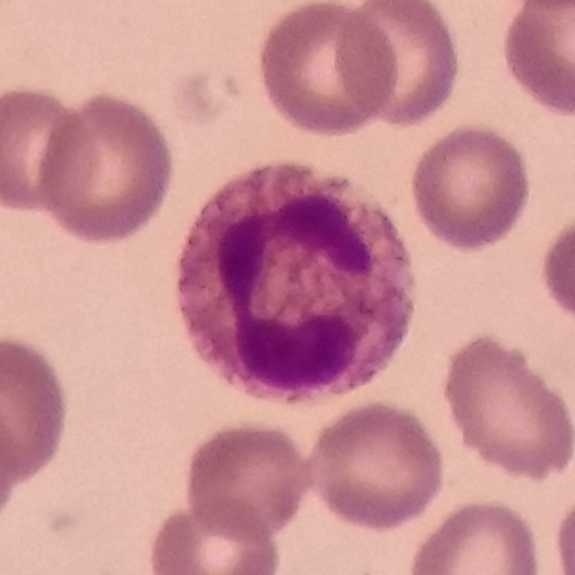

Specimen: peripheral blood film.
Cell: neutrophil granulocyte.
Lineage: myeloid.